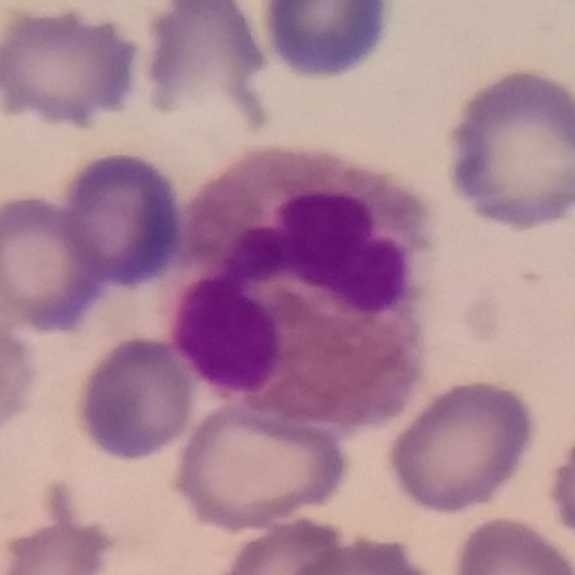

Morphological class = eosinophilic granulocyte. Image: Stained with Giemsa; peripheral blood smear; 575 by 575 pixels.